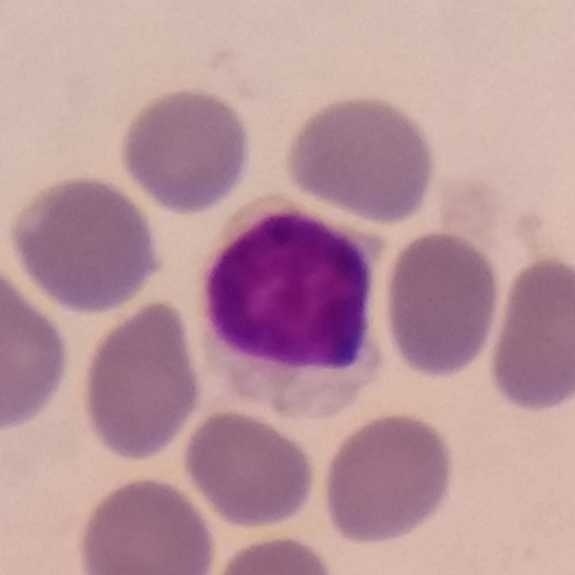
Specimen: peripheral blood film.
Morphological class: lymphocyte.
Lineage: lymphoid.
Image: Photographed through a light microscope with a smartphone camera; single white blood cell cropped from the smear photograph.